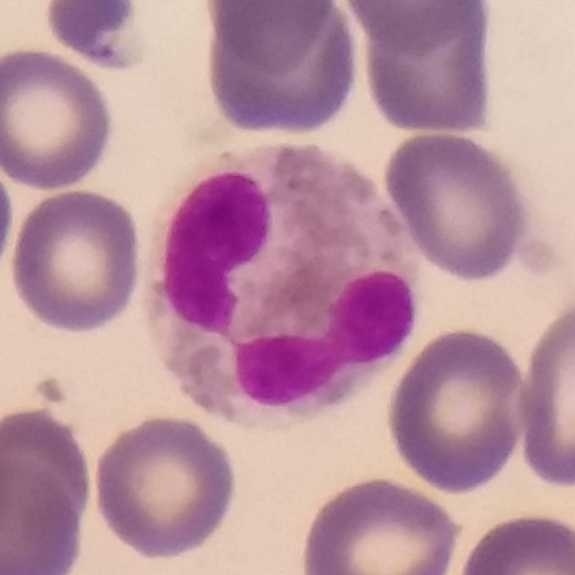 Context: Peripheral blood smear.

Cell type: eosinophilic granulocyte.